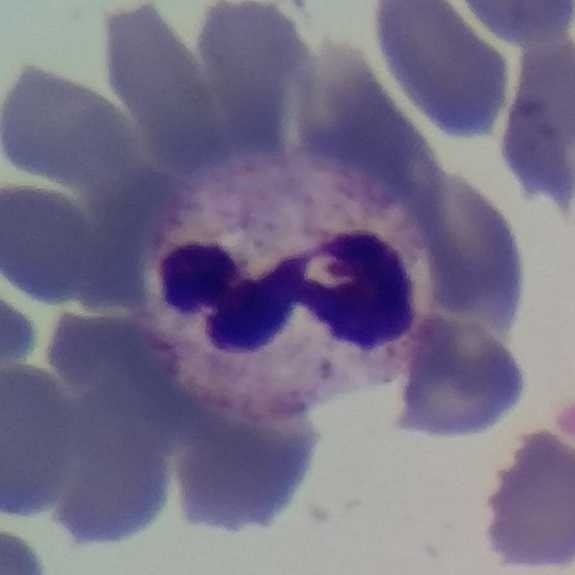
Cell type — neutrophil granulocyte.

Peripheral blood smear.